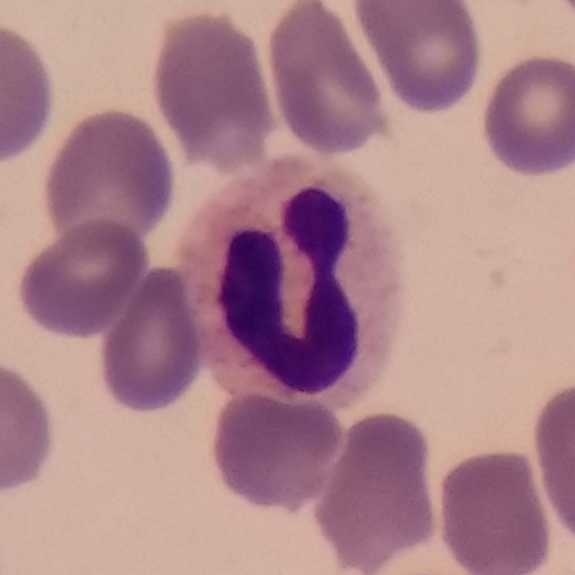Image: Peripheral blood film.
Q: Which cell type is shown here?
A: It is a neutrophilic granulocyte.